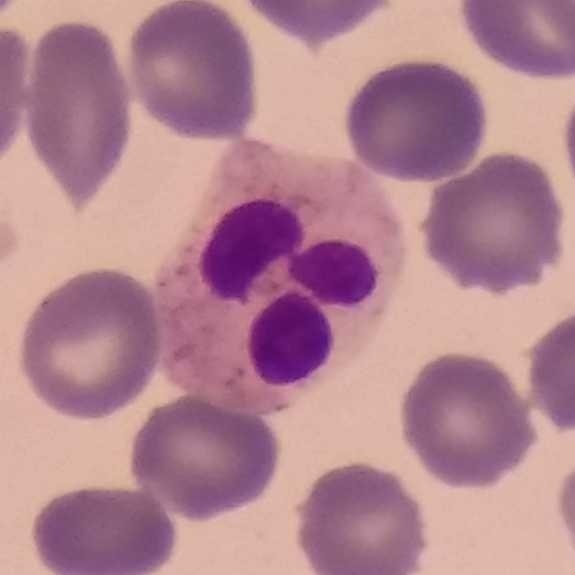 Context: Peripheral blood film. {"cell_type": "neutrophilic granulocyte", "lineage": "myeloid"}